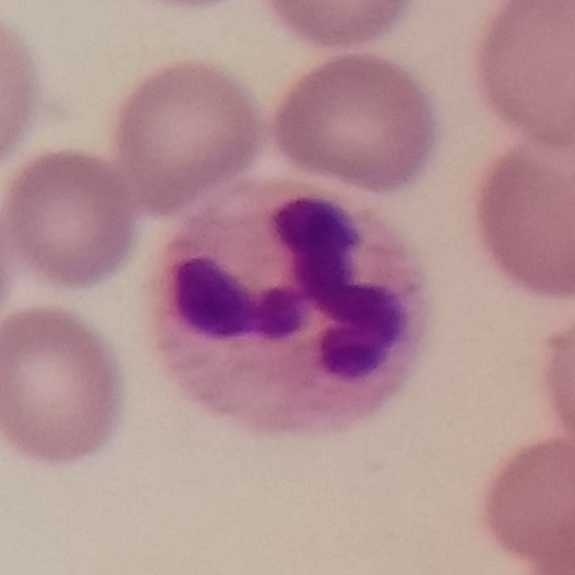Single cell identified as a neutrophil granulocyte.
Acquisition: Peripheral blood film.